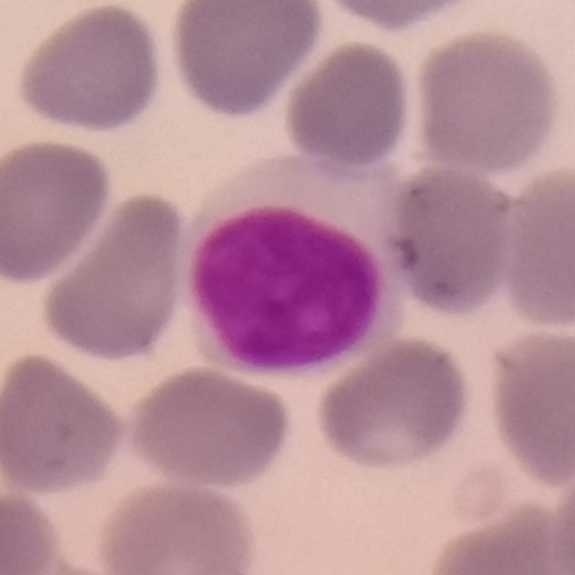

Single cell identified as a lymphocyte.

Image: Peripheral blood film; single-cell crop; imaged at 100×.